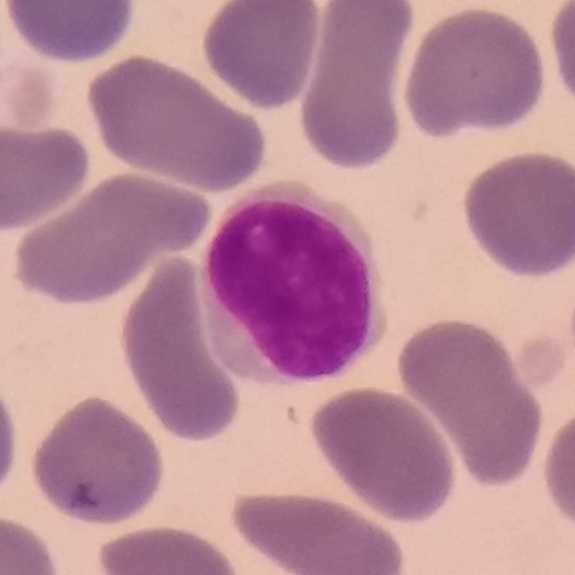
Showing a lymphocyte.